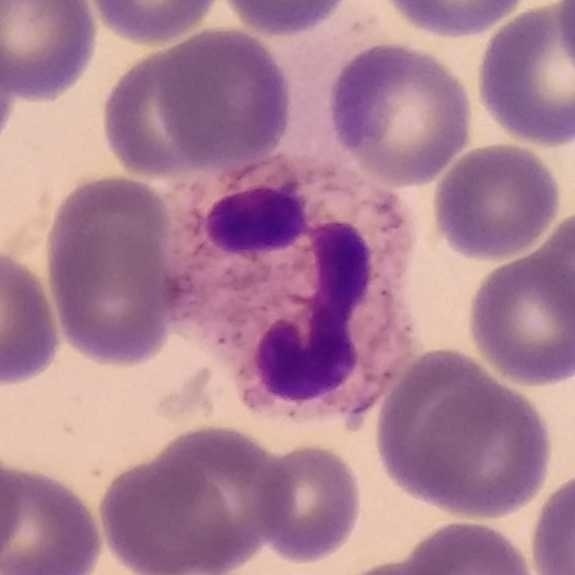 Context: Peripheral blood smear · stained with Giemsa.
The cell shown is a neutrophil.